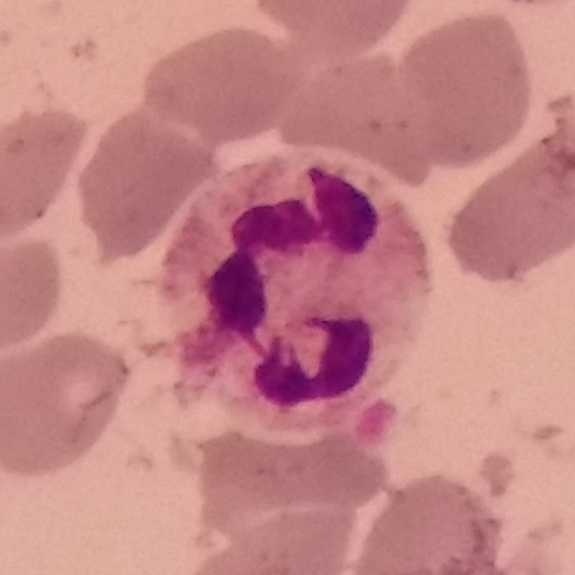

Q: Classify this leukocyte.
A: Neutrophil granulocyte. Image: Single white blood cell cropped from the smear photograph; 100× magnification; peripheral blood smear.